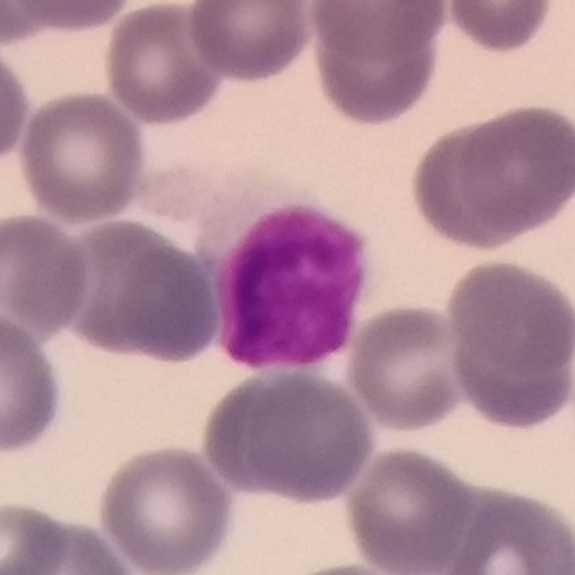 Cell = lymphocyte.